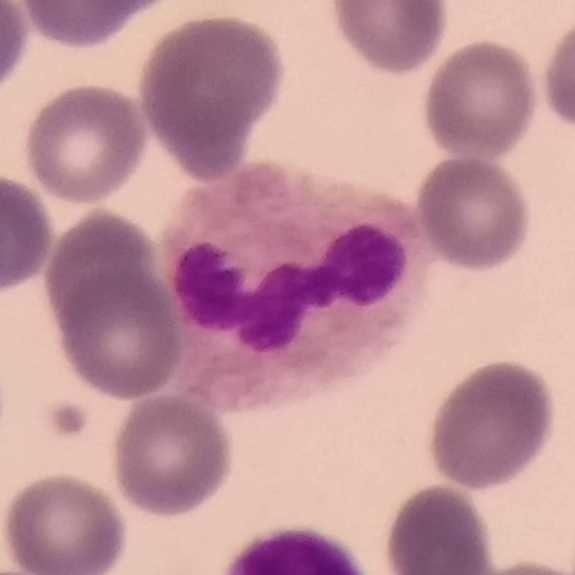 White blood cell type = neutrophil.